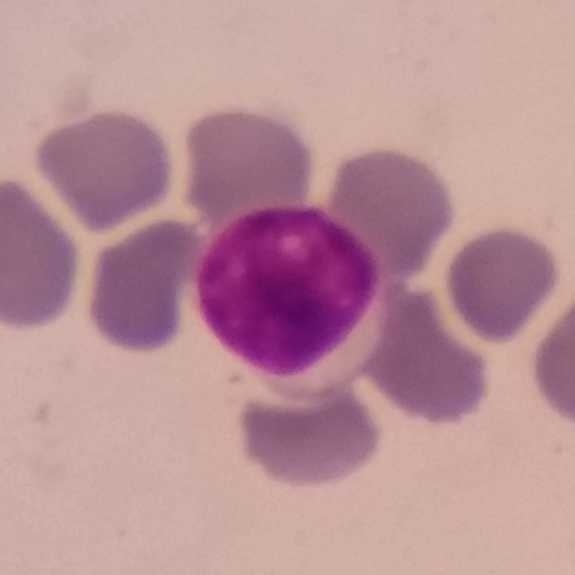Peripheral blood smear. Q: Which cell type is shown here?
A: It is a lymphocyte.